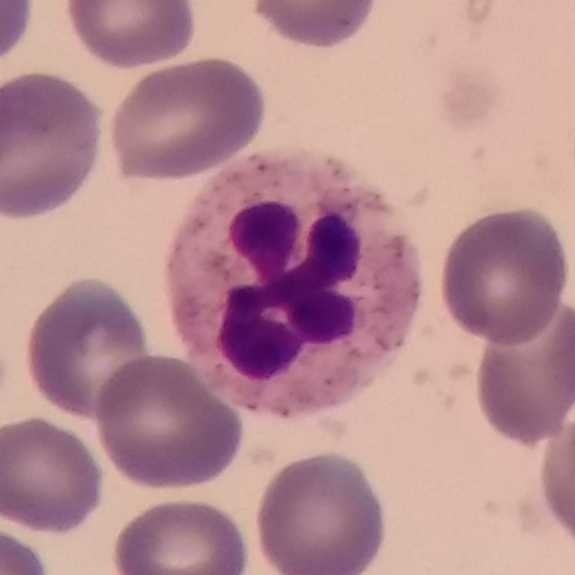 Impression — neutrophil.